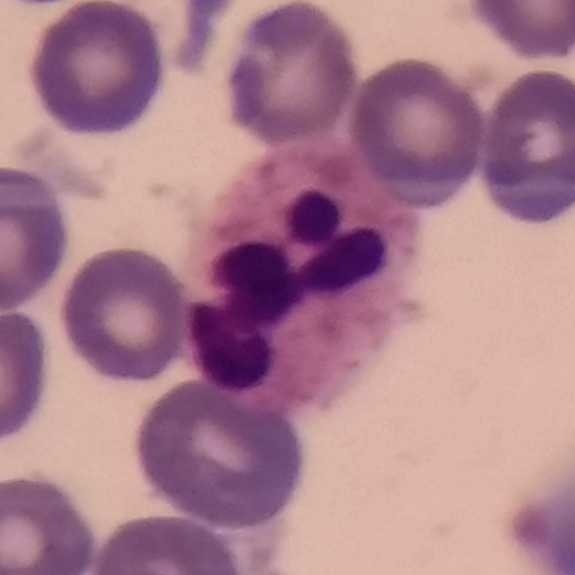Cell type = neutrophil granulocyte.

Smartphone photomicrograph · Giemsa stain · peripheral blood film.